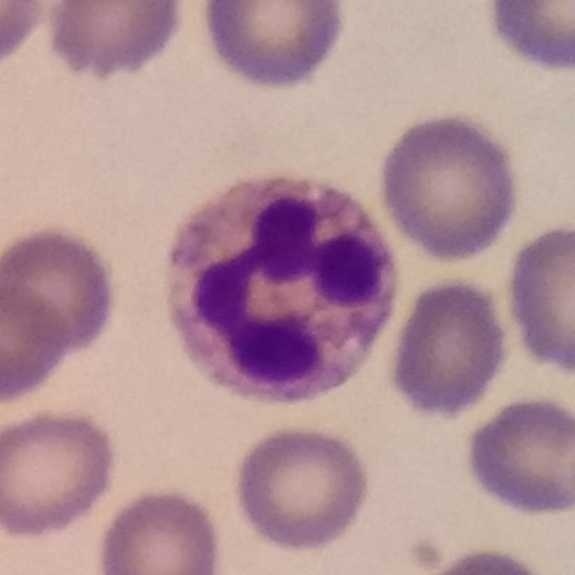

Specimen: peripheral blood film.
Cell: neutrophil.
Lineage: myeloid.